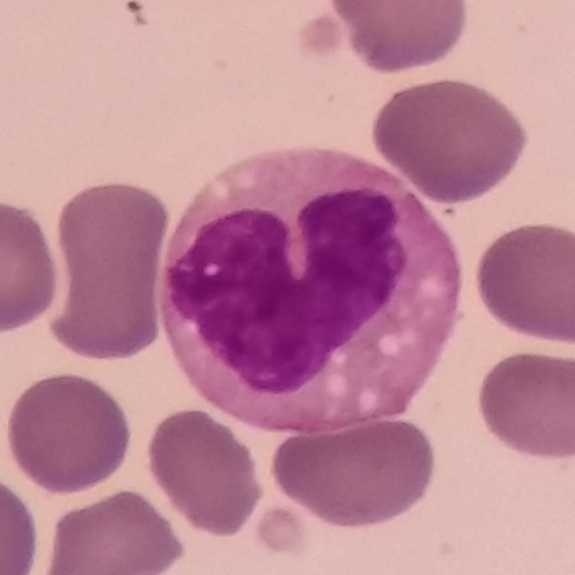 Q: What is the morphological classification of this cell?
A: Monocyte.
Peripheral blood film · photographed through a light microscope with a smartphone camera.